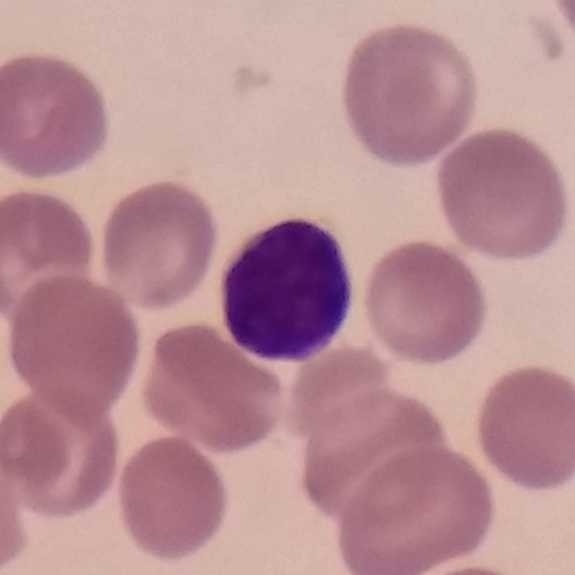
Cell type: lymphocyte.